Peripheral blood smear: 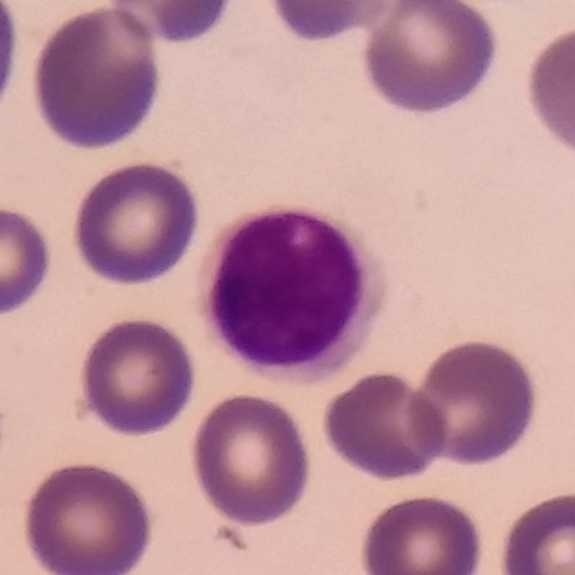

The white blood cell in this image is a lymphocyte.